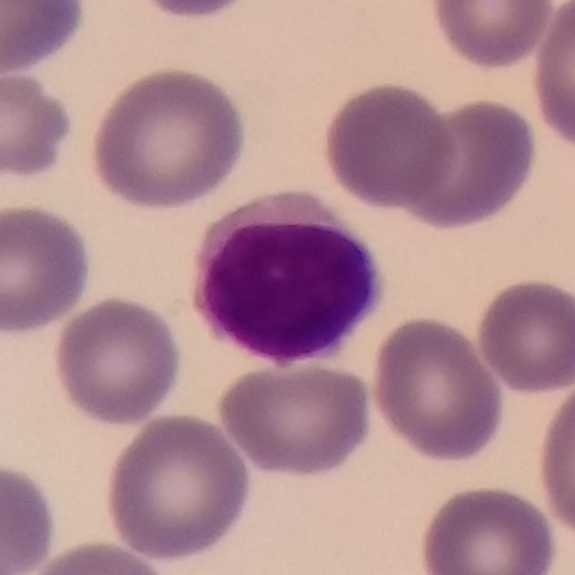

Single-cell crop · peripheral blood film · 575×575 px.
Lymphocyte.